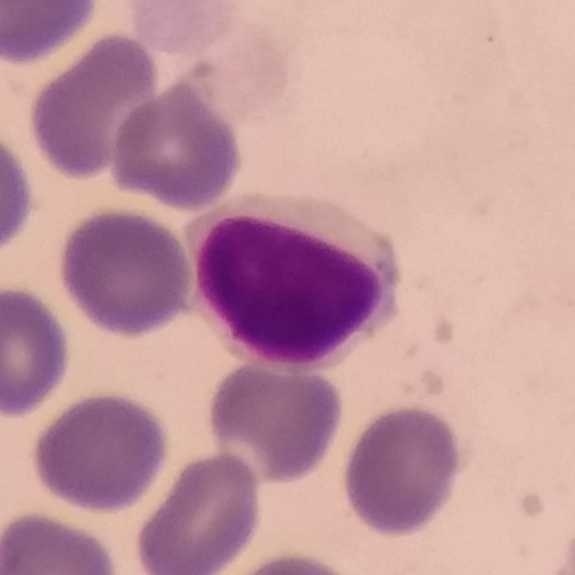

This is a lymphocyte.